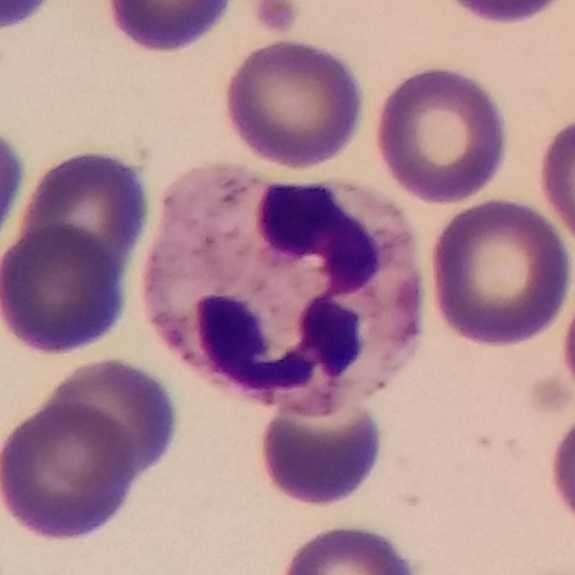
Showing a neutrophilic granulocyte.